Single-cell crop · peripheral blood smear:
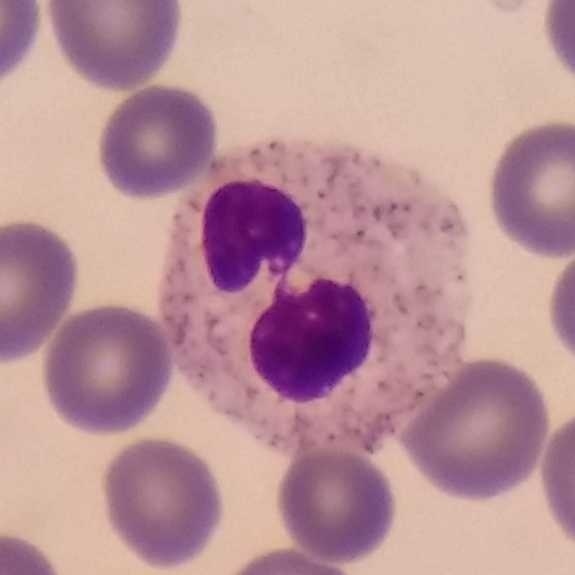

The classification is neutrophil granulocyte.